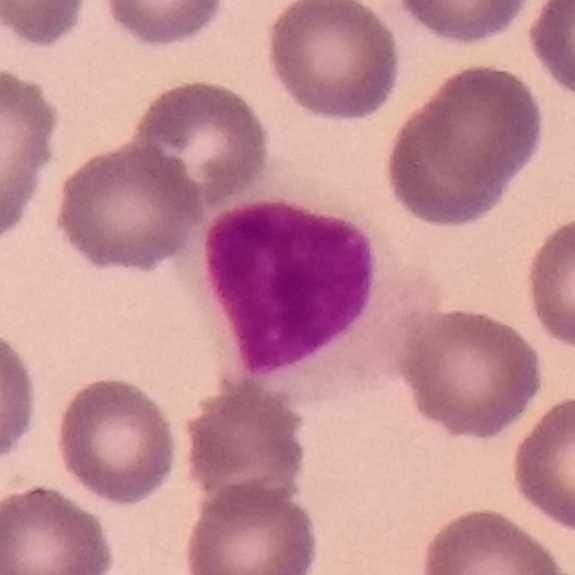

Peripheral blood film, single cell — lymphocyte.